Peripheral blood film. Single-cell field — 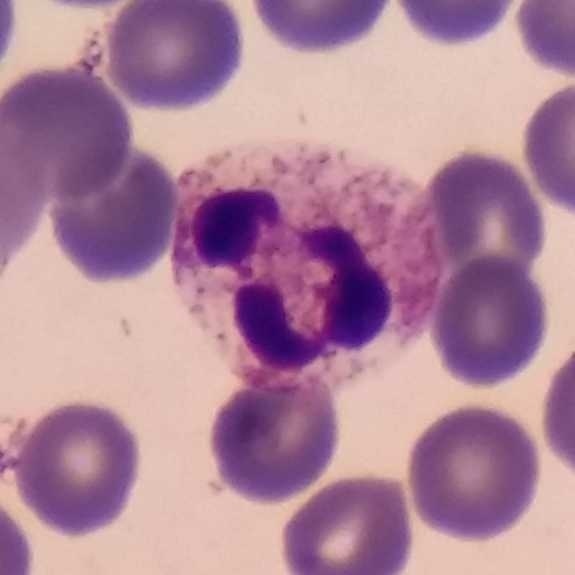Morphology — neutrophilic granulocyte.